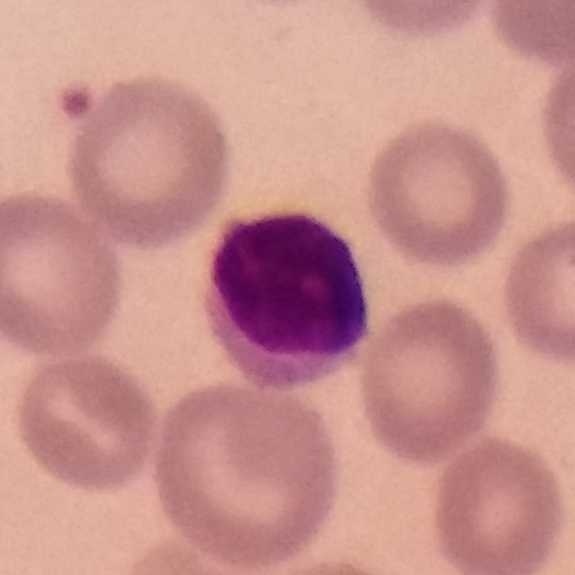
Preparation: Giemsa stain · peripheral blood smear · single white blood cell cropped from the smear photograph.

Q: What type of cell is this?
A: This is a lymphocyte.